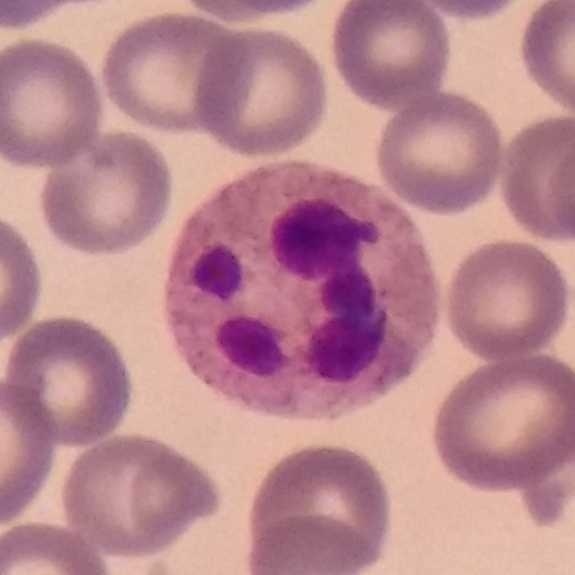
Morphology → neutrophil granulocyte.
Preparation: Peripheral blood film.